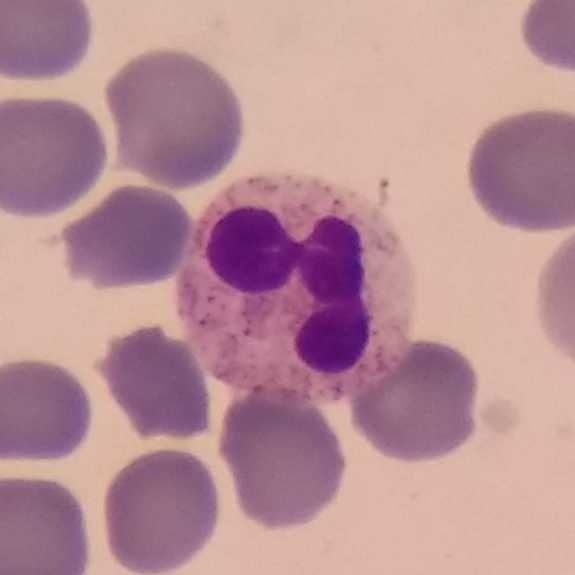
Magnification 100×. Peripheral blood smear. Photographed through a light microscope with a smartphone camera.
Classification: neutrophil granulocyte.